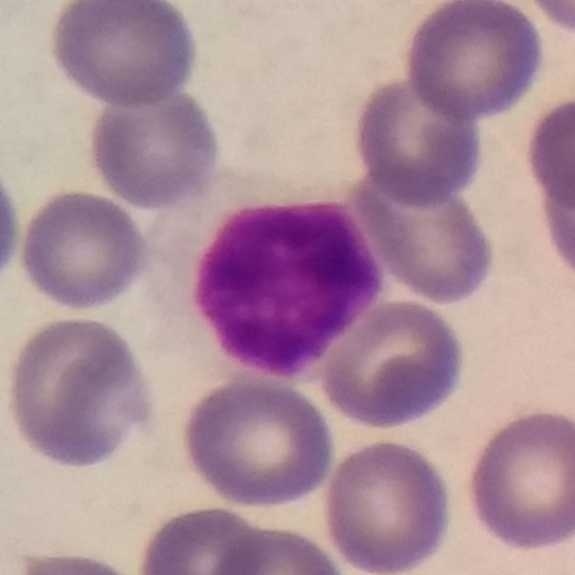Q: What is the morphological classification of this cell?
A: A lymphocyte. Peripheral blood film.